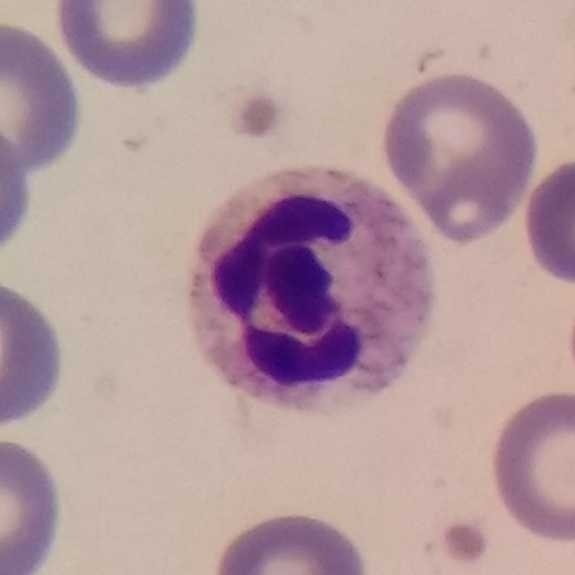
Preparation: Peripheral blood smear. Cropped to one leukocyte.
Neutrophilic granulocyte.